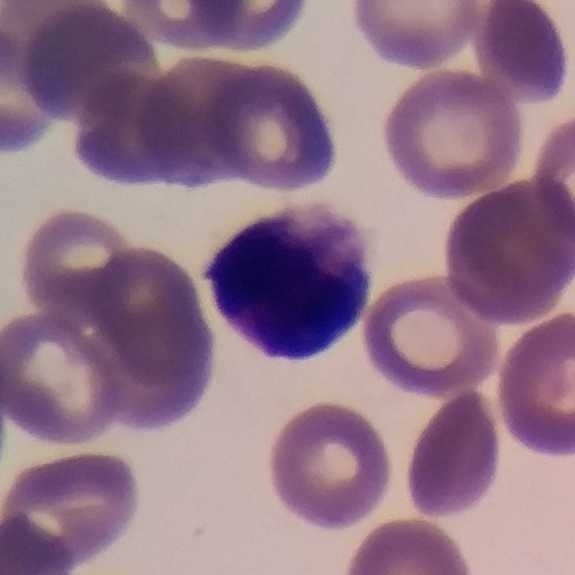
Peripheral blood film. Single cell identified as a lymphocyte.